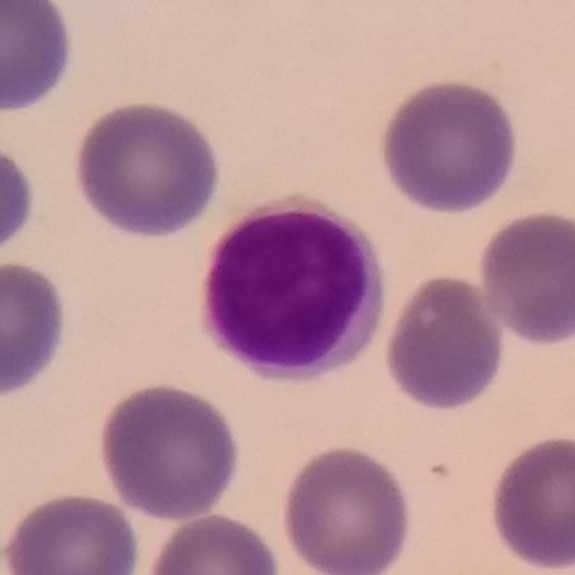

Lymphocyte.